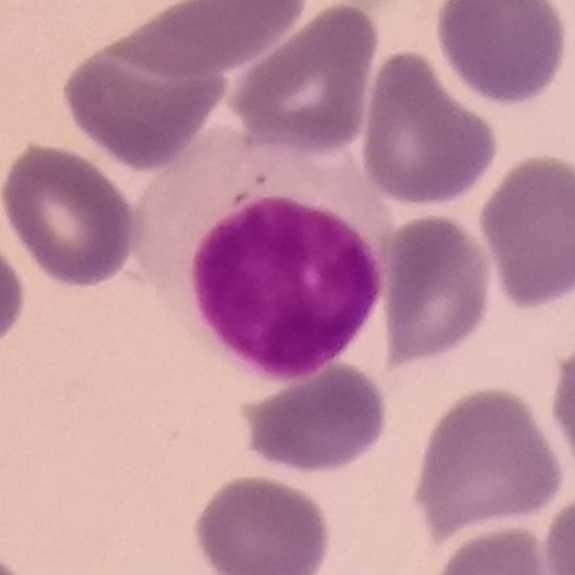Context: 575×575 px.

Specimen: peripheral blood smear.
Cell type: lymphocyte.
Lineage: lymphoid.